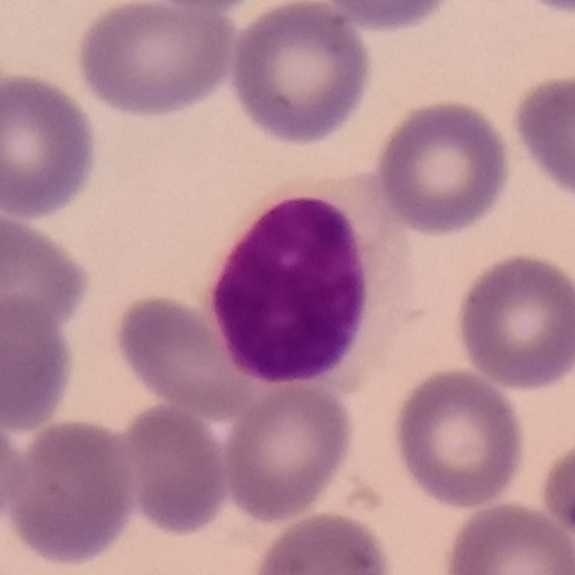

The white blood cell type is lymphocyte. Peripheral blood film.